575×575 px · Giemsa stain · peripheral blood smear:
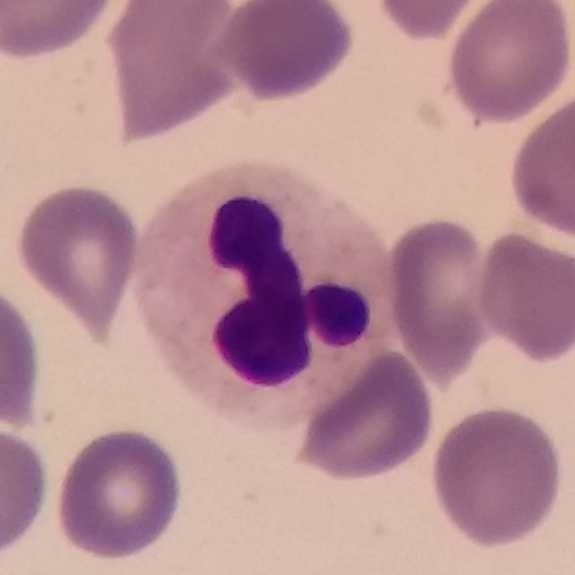

A neutrophilic granulocyte.